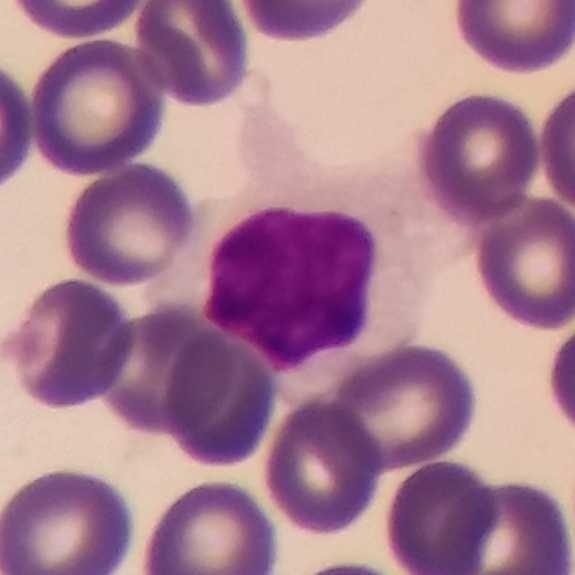Morphology → lymphocyte. 575×575 px; peripheral blood film.